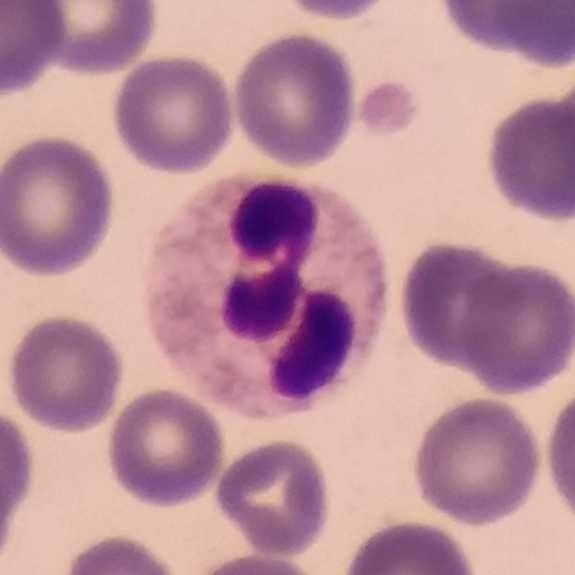

Context: Peripheral blood film.

Cell type = neutrophil granulocyte.